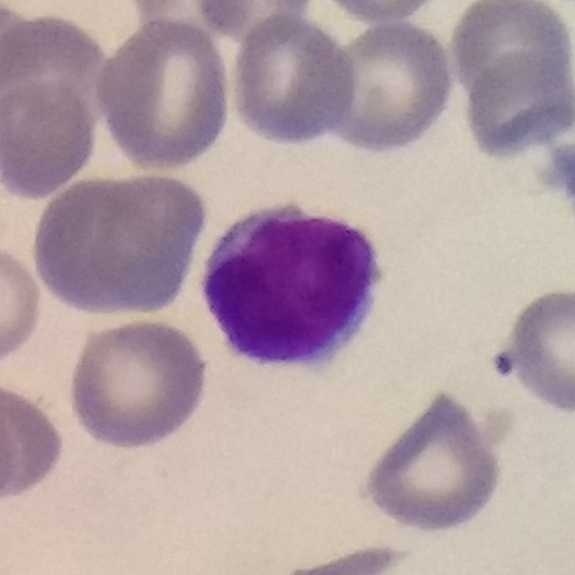The cell type is lymphocyte. Peripheral blood smear. Smartphone photomicrograph. Single-cell crop.